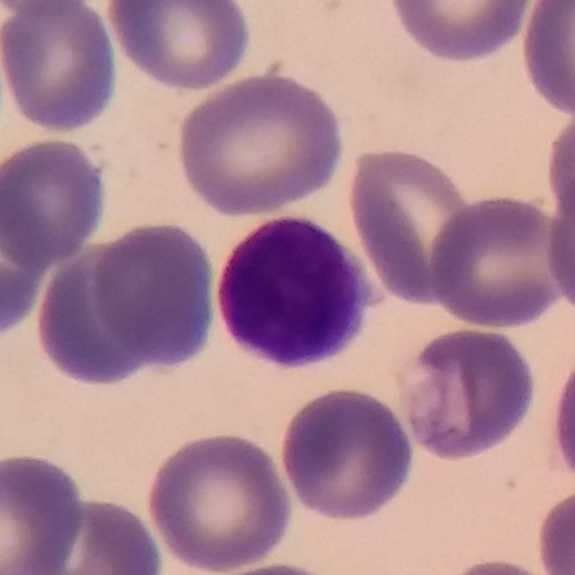
A lymphocyte.